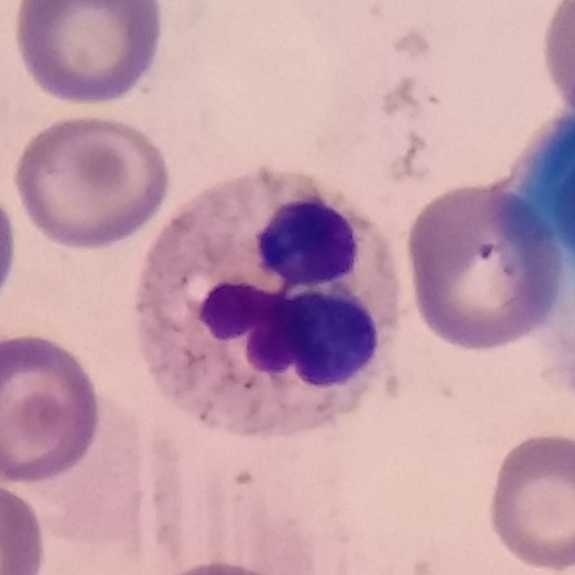
The cell type is neutrophilic granulocyte. Acquisition: Peripheral blood smear.